575 by 575 pixels; peripheral blood film; 100× magnification:
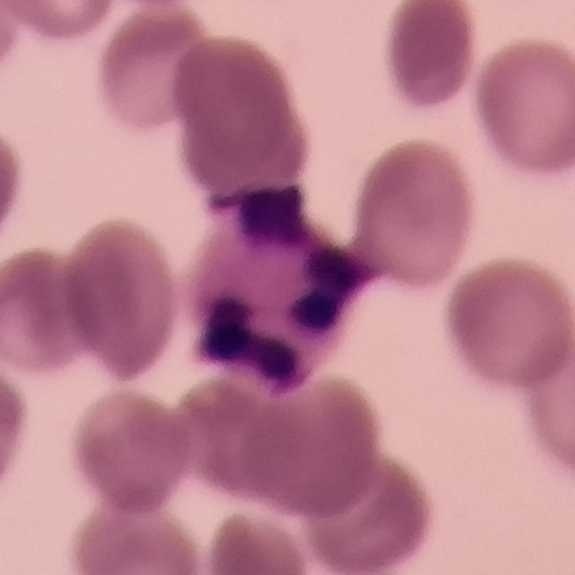Specimen: peripheral blood smear.
Cell: neutrophil granulocyte.